Peripheral blood film — 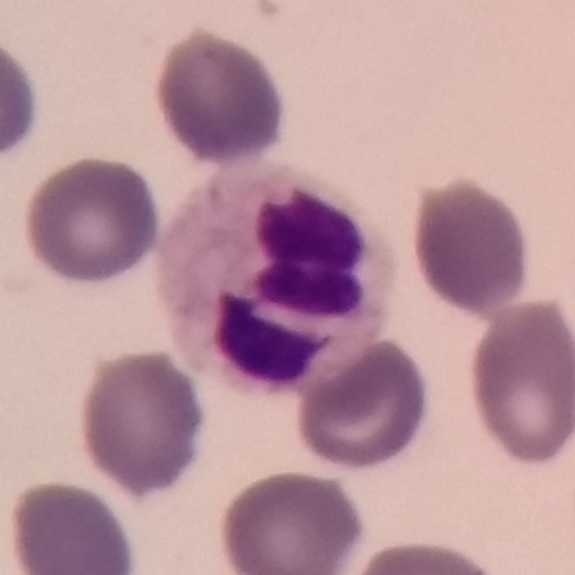

Q: What type of cell is this?
A: This is a neutrophil.